Phone-camera image taken through the microscope ocular. Peripheral blood smear
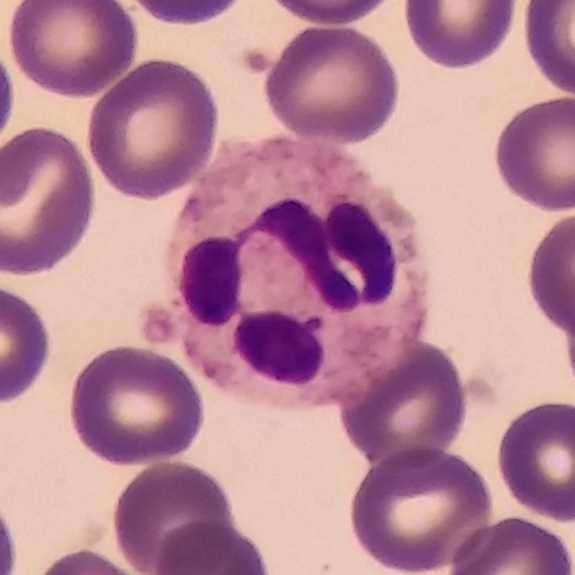 The white blood cell type is neutrophilic granulocyte.